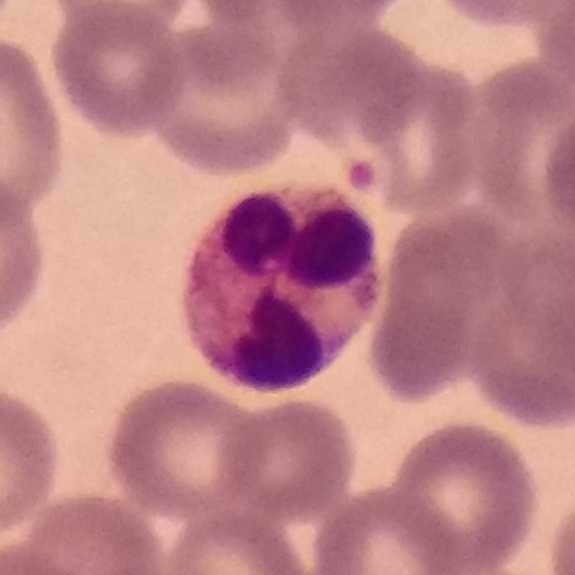
Q: What type of cell is this?
A: It is a neutrophilic granulocyte.

Context: 575 by 575 pixels · peripheral blood smear · magnification 100×.